Peripheral blood smear — 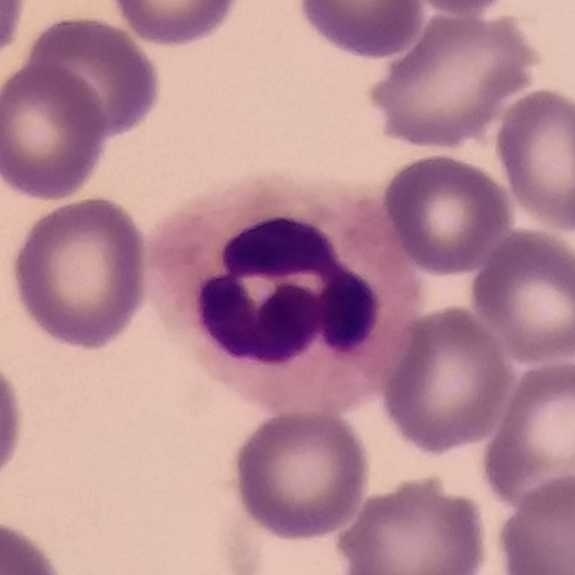Q: What is this?
A: A neutrophilic granulocyte.